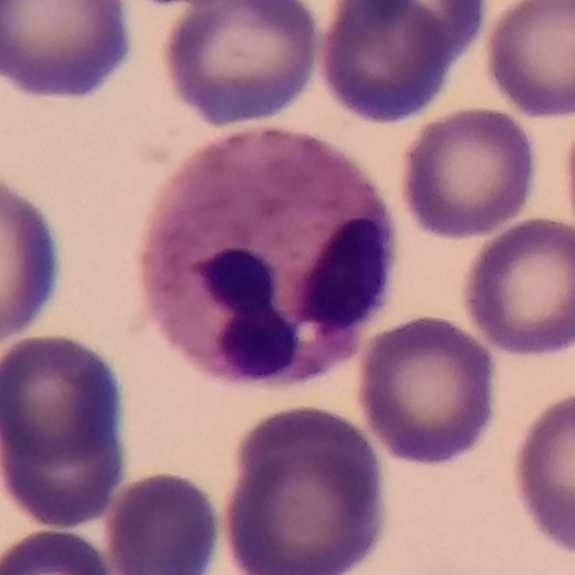

Context: Peripheral blood smear. The classification is neutrophil.